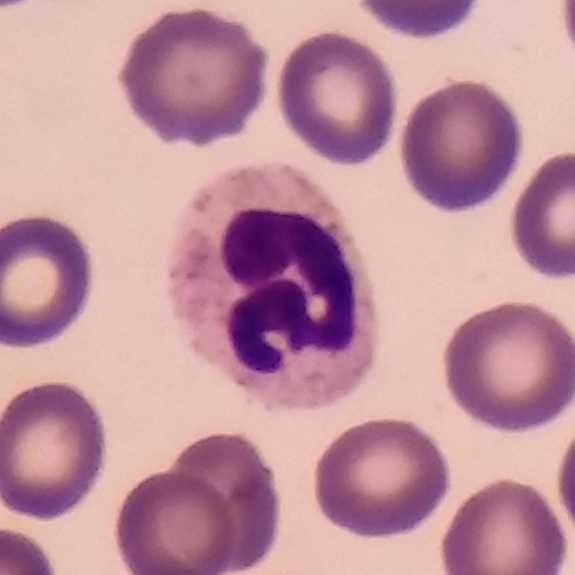

The cell type is neutrophilic granulocyte.
Acquisition: Peripheral blood film.